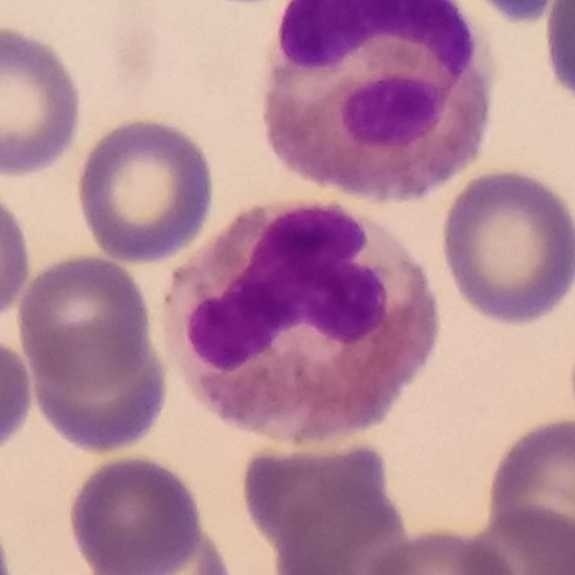

Peripheral blood film. 575×575 px.

The cell type is eosinophilic granulocyte.